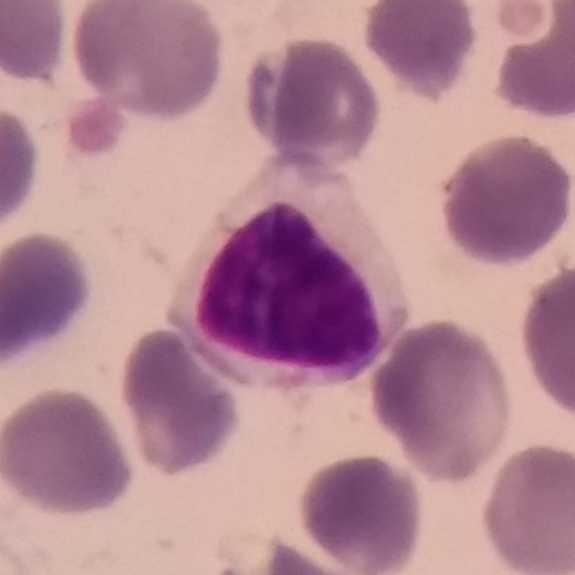 Single cell identified as a lymphocyte.

Peripheral blood smear.